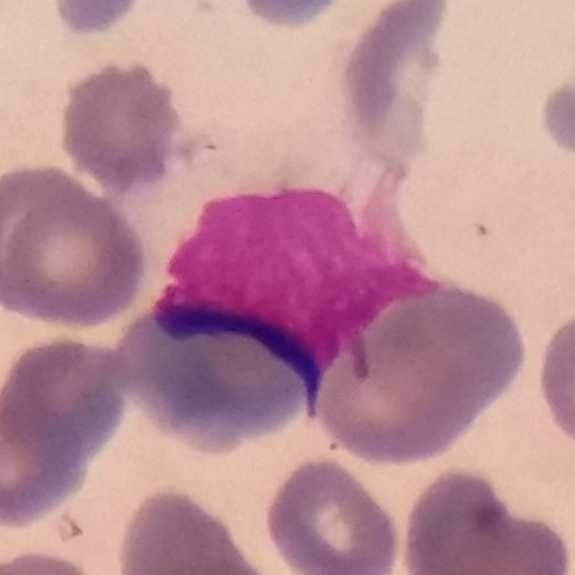
Identified as a monocyte.